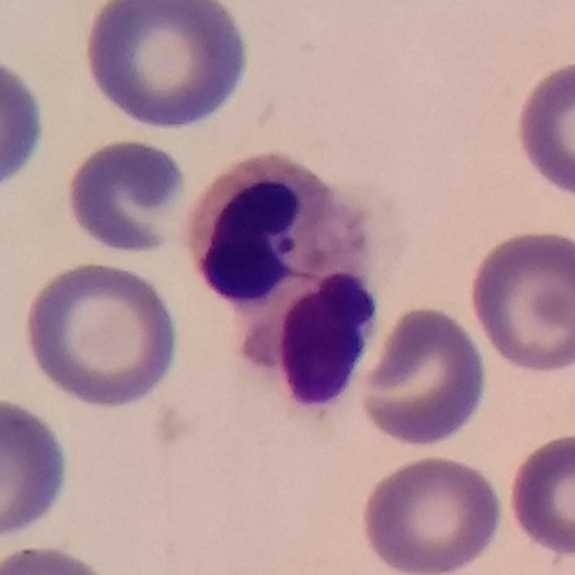{"cell_type": "neutrophil"}